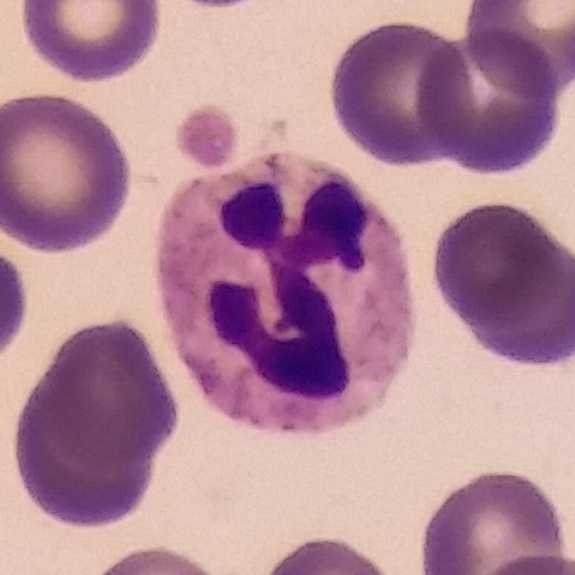The cell shown is a neutrophil granulocyte.
Peripheral blood smear. Smartphone camera mounted on the microscope eyepiece. Giemsa stain.